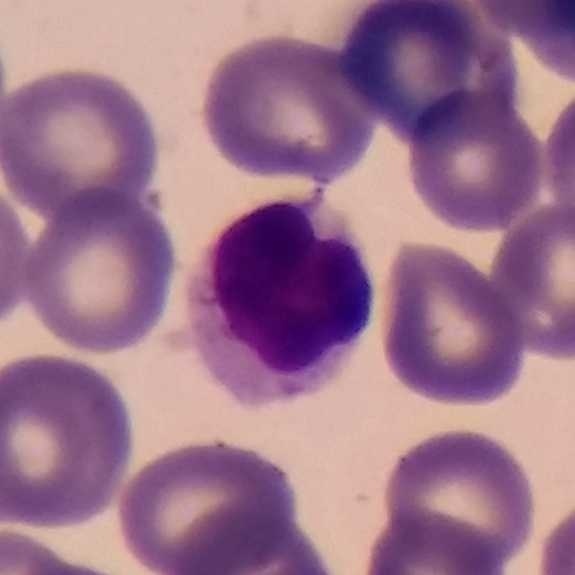 Context: 575×575 px; peripheral blood film.

The cell type is lymphocyte.